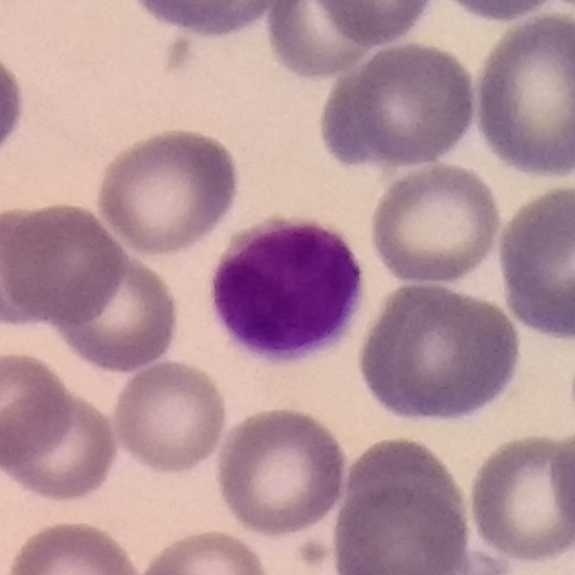 White blood cell type — lymphocyte.

Peripheral blood smear; 100× magnification; Giemsa-stained.